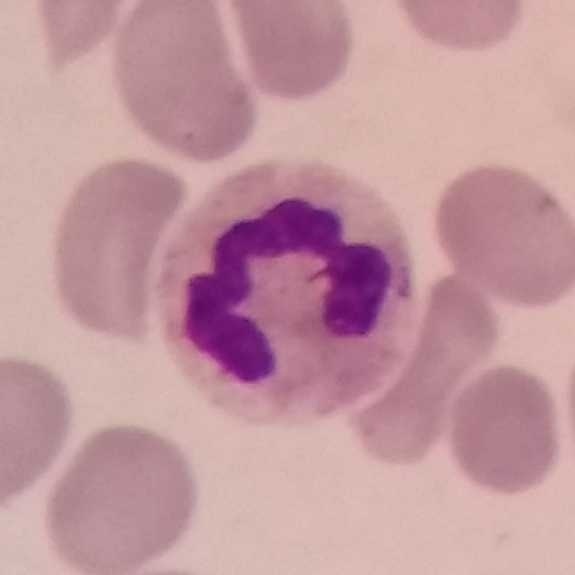 Q: What type of cell is this?
A: This is a neutrophilic granulocyte.
Context: Peripheral blood film.